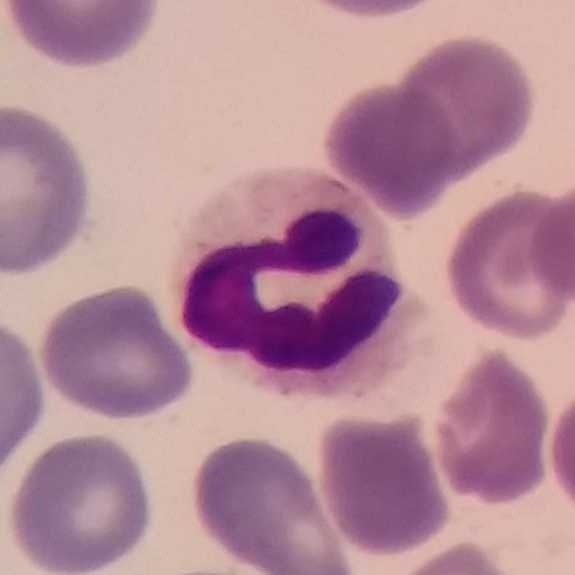

White blood cell type = neutrophilic granulocyte.

Acquisition: Smartphone camera mounted on the microscope eyepiece; peripheral blood smear.